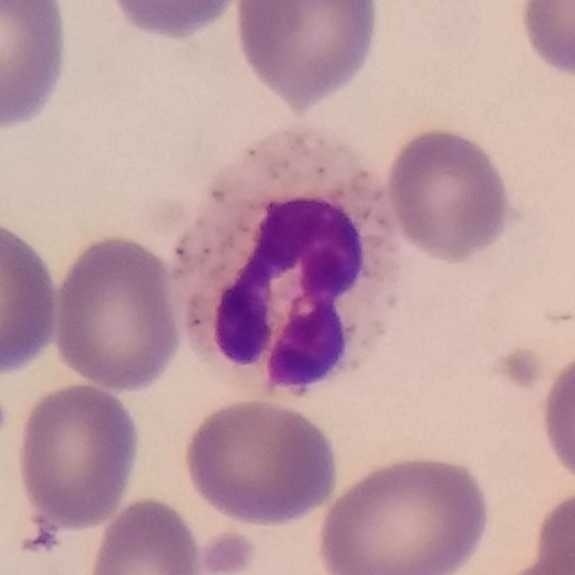White blood cell type = neutrophil granulocyte.